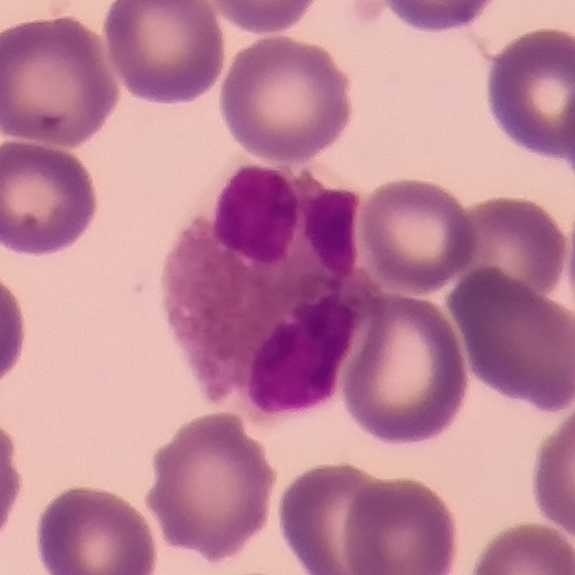 Image: Peripheral blood smear · magnification 100×.

{"cell_type": "eosinophil"}